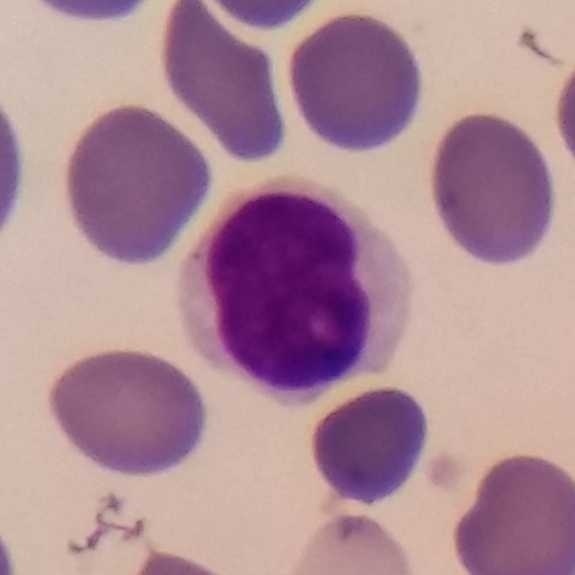
Acquisition: 100× magnification; phone-camera image taken through the microscope ocular; peripheral blood film.
This is a lymphocyte.